100× magnification. Peripheral blood smear. Giemsa stain:
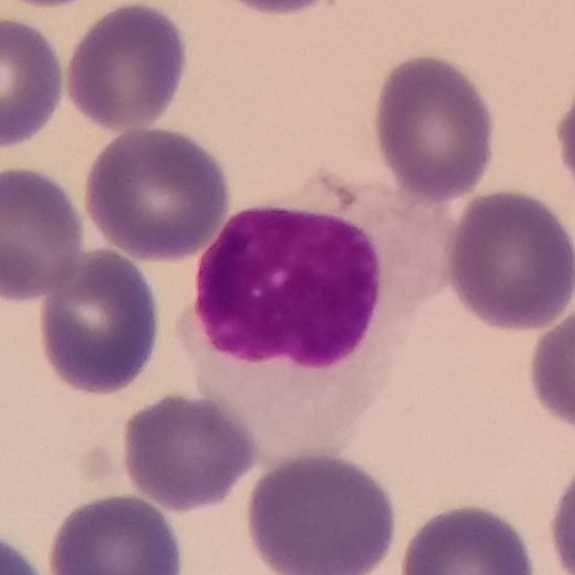The cell shown is a lymphocyte.